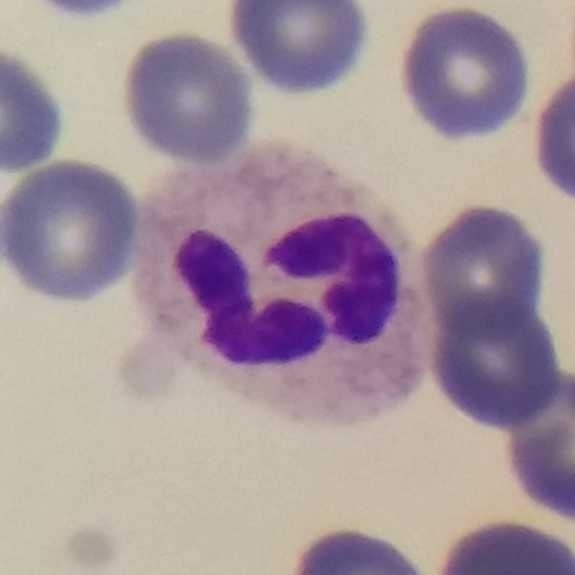
{"cell_type": "neutrophil"}

Preparation: Peripheral blood film.